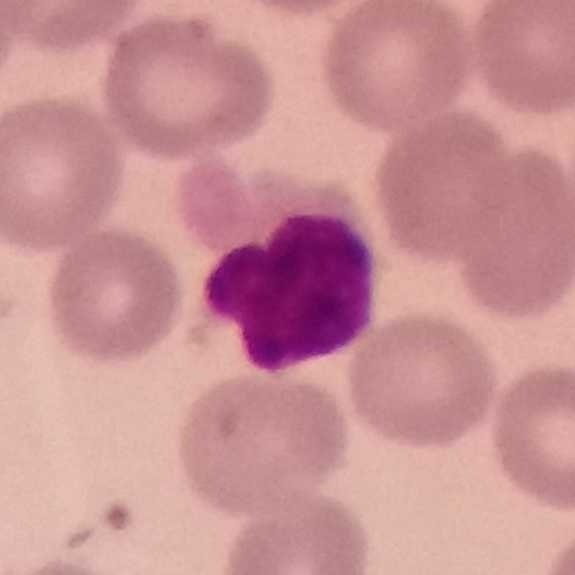

Image: 575×575 · Giemsa stain · peripheral blood smear.

Morphology — lymphocyte.